Peripheral blood film:
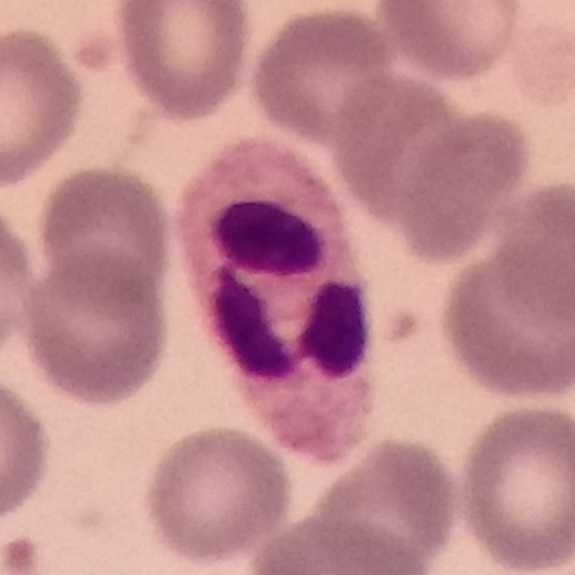Specimen: peripheral blood film.
Morphological class: neutrophilic granulocyte.